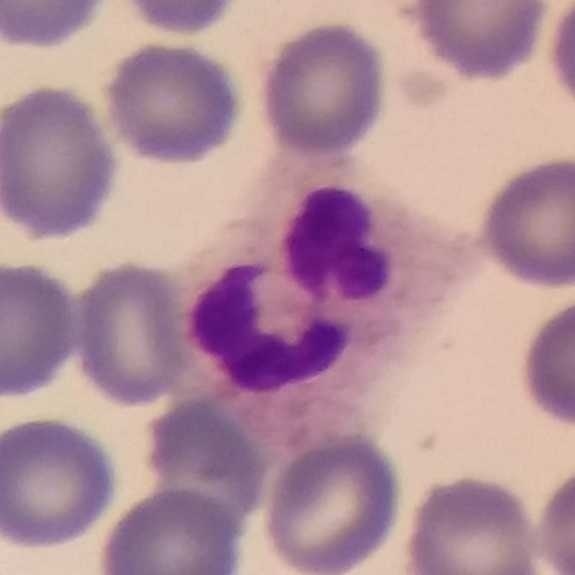Morphological class: neutrophil granulocyte. Preparation: Peripheral blood smear.